Phone-camera image taken through the microscope ocular · 100× magnification · peripheral blood smear.
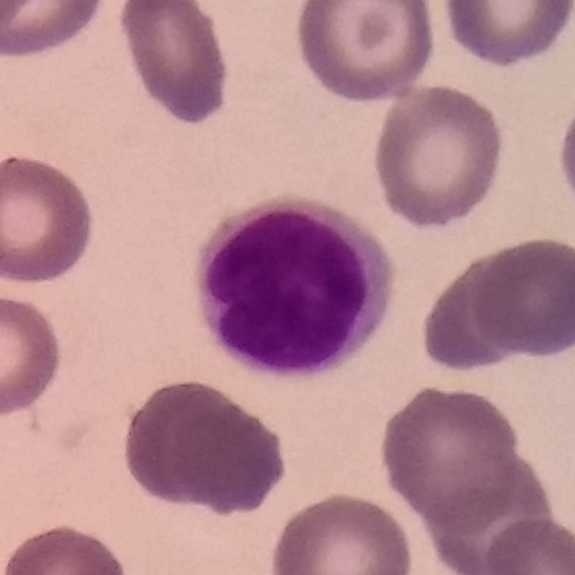Specimen: peripheral blood film.
Morphological class: lymphocyte.